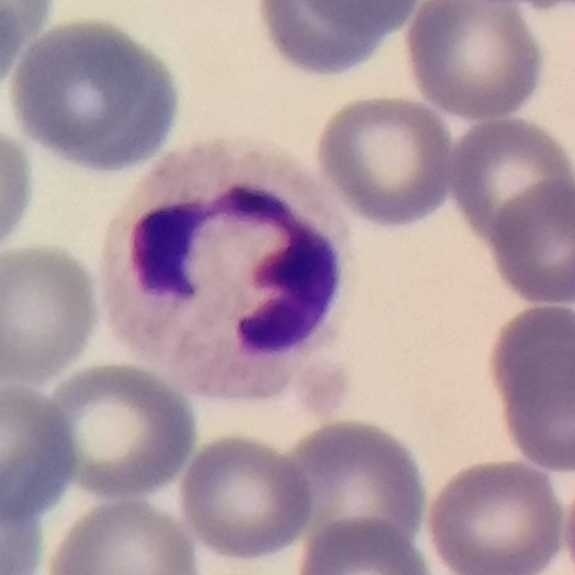Preparation: Peripheral blood film.

Impression — neutrophil.